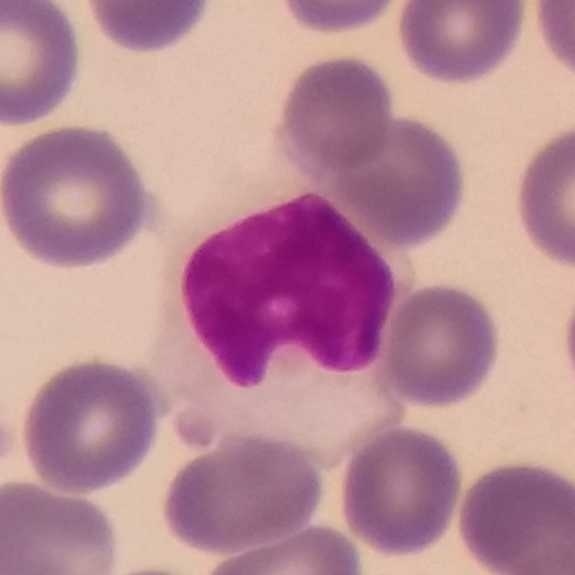
Impression → lymphocyte.

Context: 575×575 · peripheral blood film · single-cell crop.